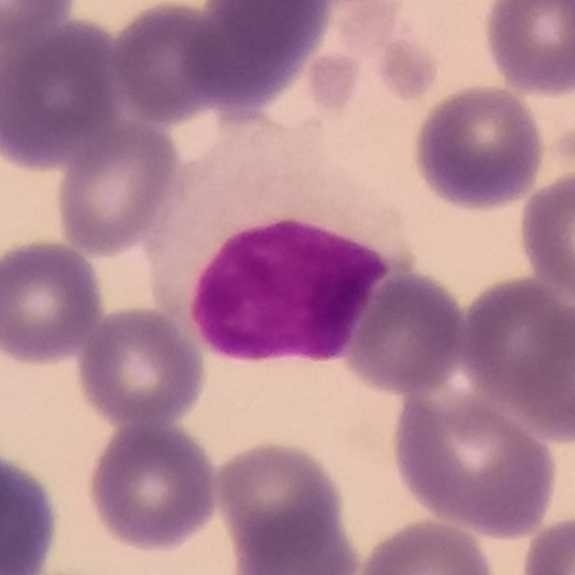Showing a lymphocyte. Peripheral blood smear.